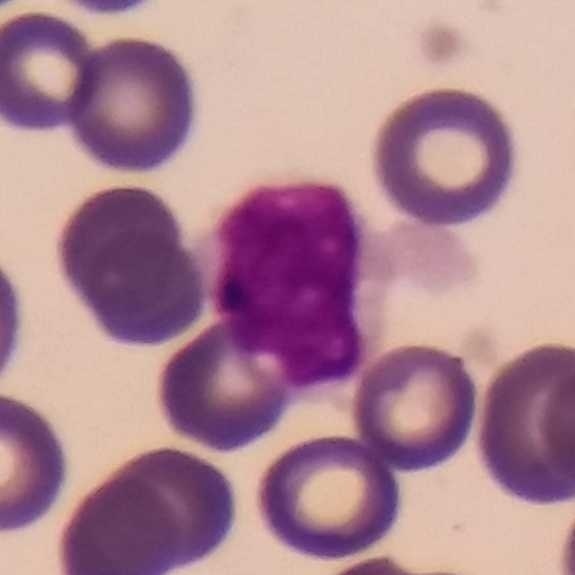
Peripheral blood film.
Morphology → lymphocyte.